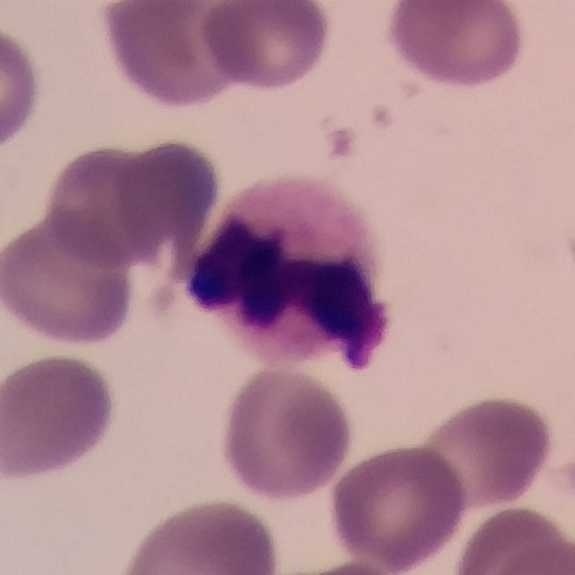
Specimen: peripheral blood film.
Cell: neutrophil.
Lineage: myeloid.